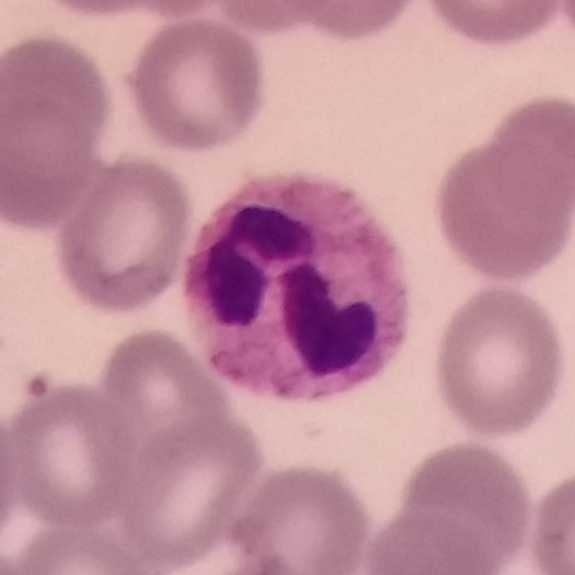 Cell: neutrophil.